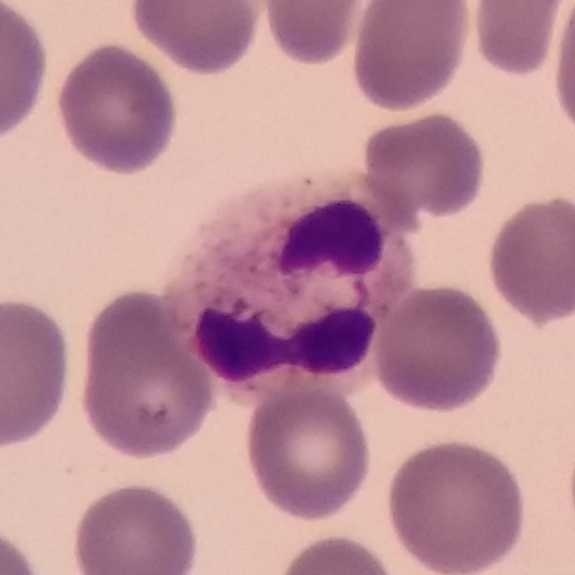Peripheral blood film. Showing a neutrophil.